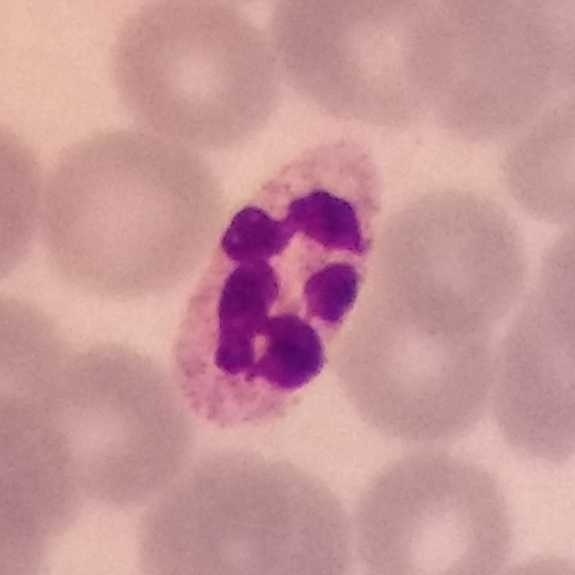

Neutrophilic granulocyte.